Peripheral blood film — 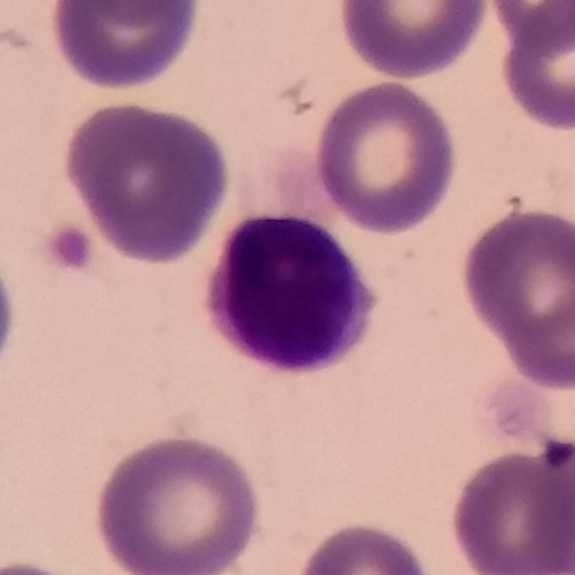A lymphocyte.